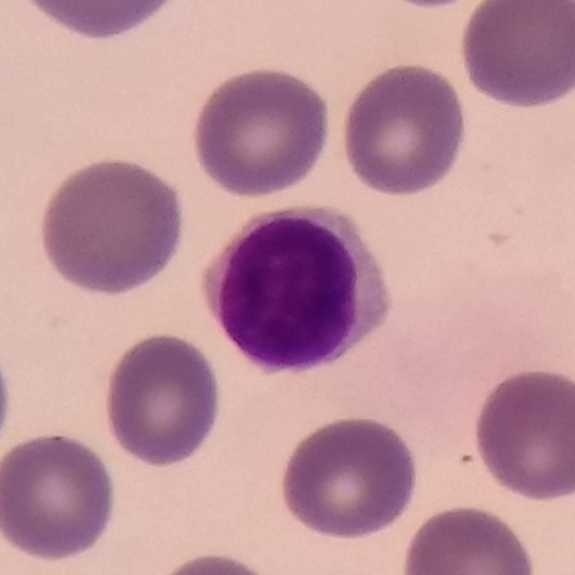

The cell shown is a lymphocyte.
Preparation: Single-cell field; peripheral blood film; Giemsa stain.